Peripheral blood film:
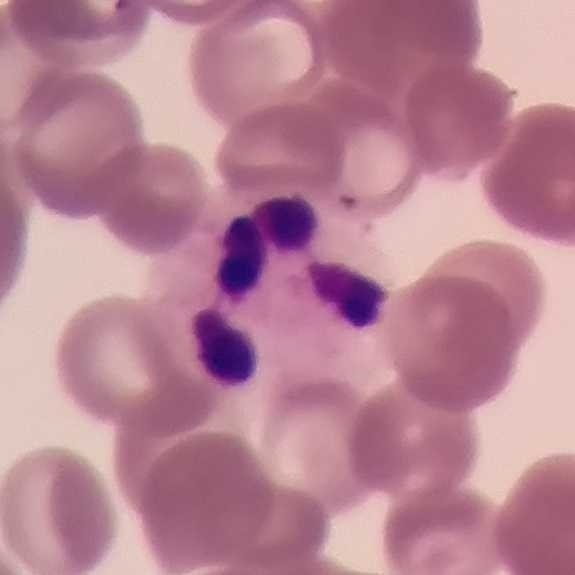 Q: What cell is this?
A: Neutrophilic granulocyte.